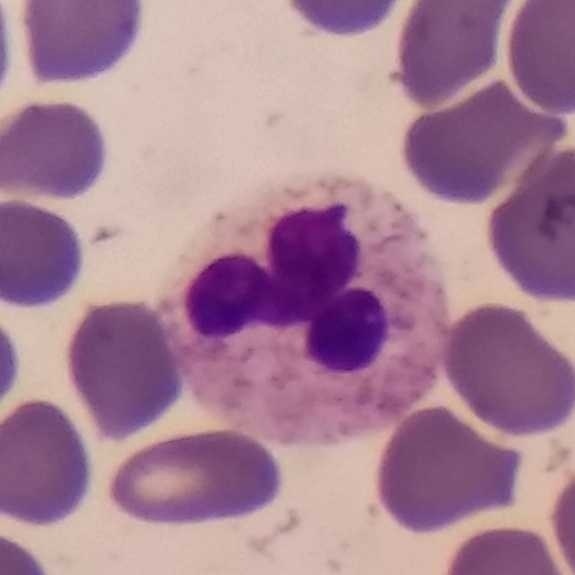
{"cell_type": "neutrophil granulocyte", "lineage": "myeloid"}

Peripheral blood smear · 100× magnification.